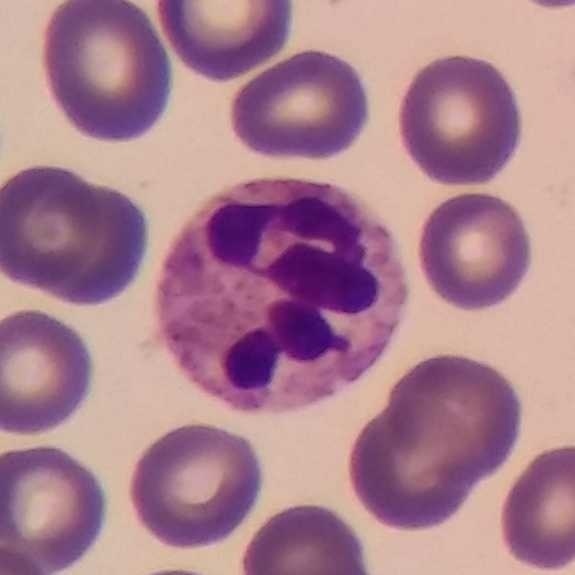 Cropped to one leukocyte · peripheral blood smear · 575 by 575 pixels. Cell — neutrophil.